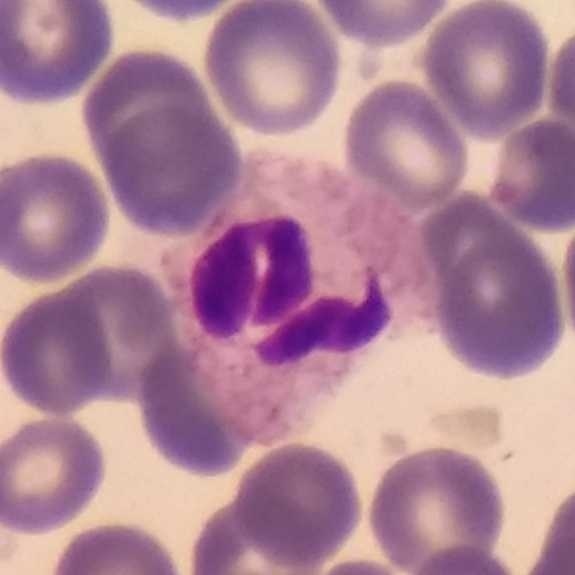 Acquisition: Peripheral blood smear.

Cell type: neutrophilic granulocyte.